Single white blood cell cropped from the smear photograph · peripheral blood smear · magnification 100×.
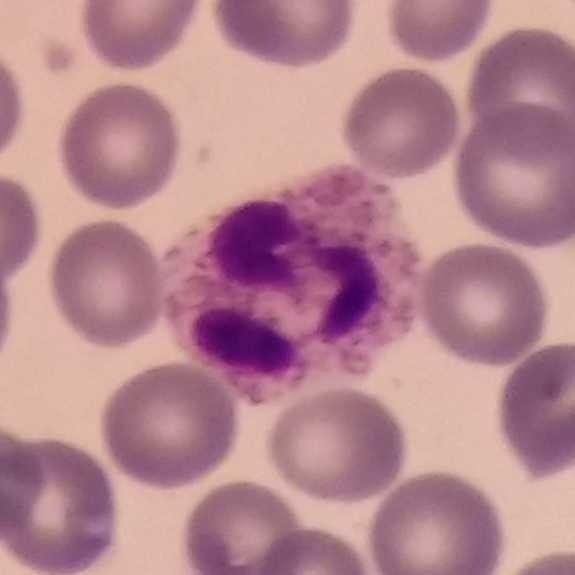
Single cell identified as a neutrophil granulocyte.